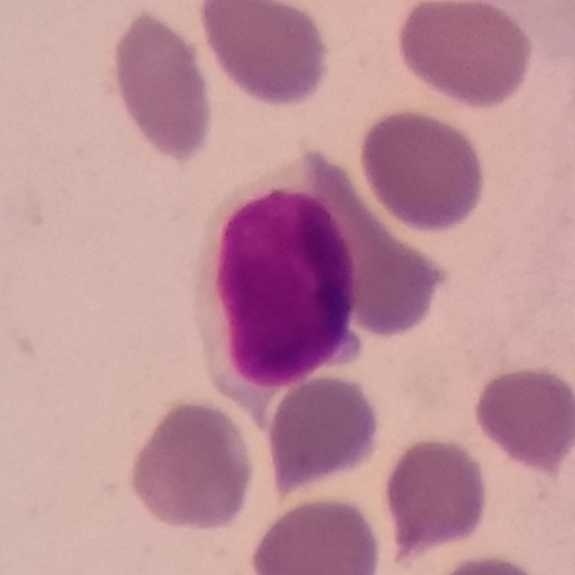Single cell identified as a lymphocyte.

Context: Peripheral blood film; photographed through a light microscope with a smartphone camera; 575 by 575 pixels.